Single white blood cell cropped from the smear photograph; peripheral blood film: 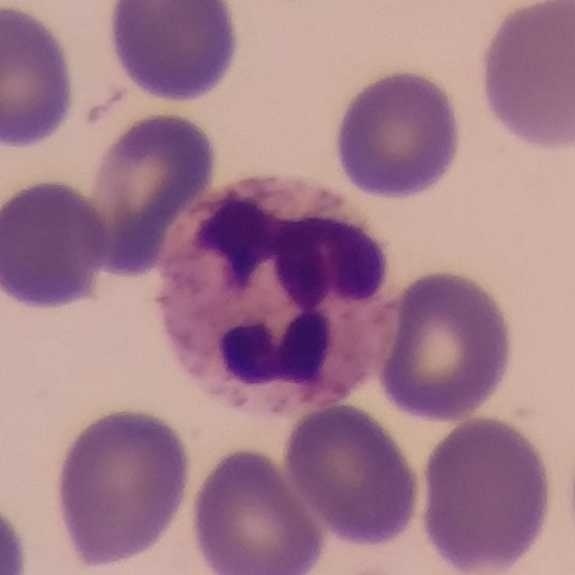Identified as a neutrophilic granulocyte.